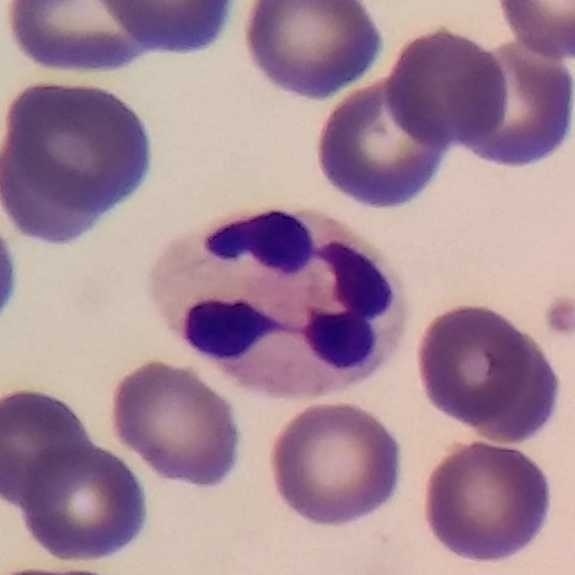
Specimen: peripheral blood film.
White blood cell type: neutrophilic granulocyte.
Lineage: myeloid.